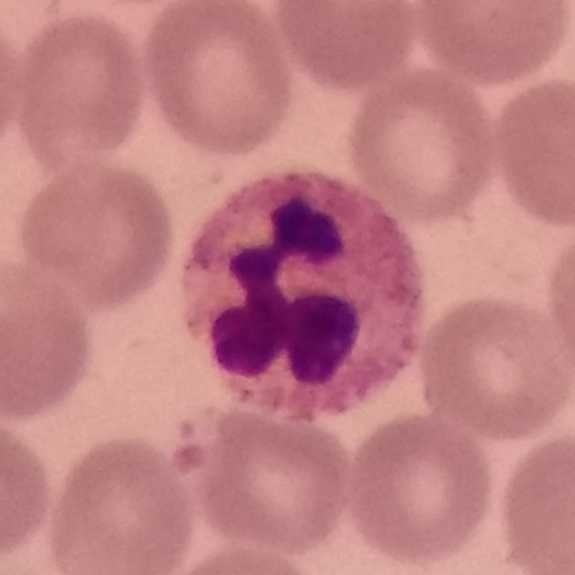 Single-cell crop · stained with Giemsa.

Specimen: peripheral blood film.
Classification: neutrophil.
Lineage: myeloid.